Peripheral blood film. Imaged at 100×:
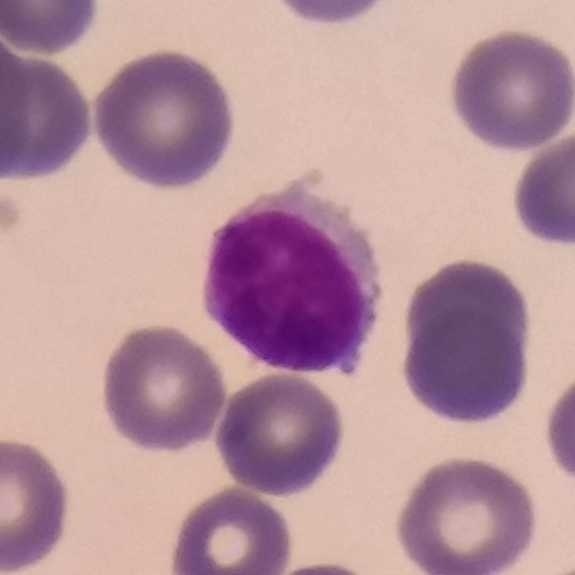The white blood cell in this image is a lymphocyte.